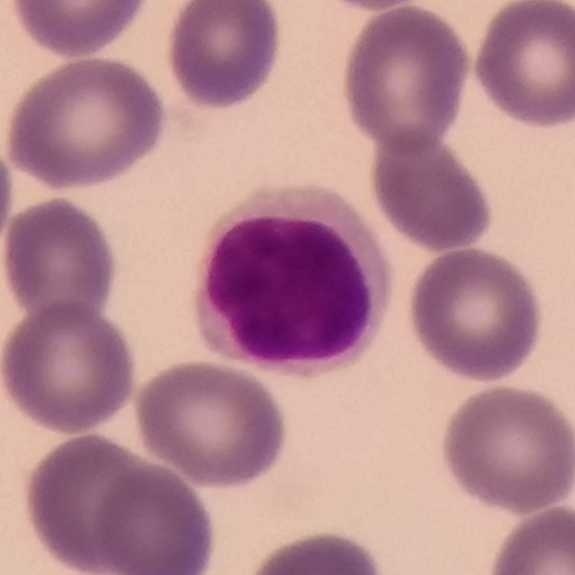
The white blood cell type is lymphocyte.